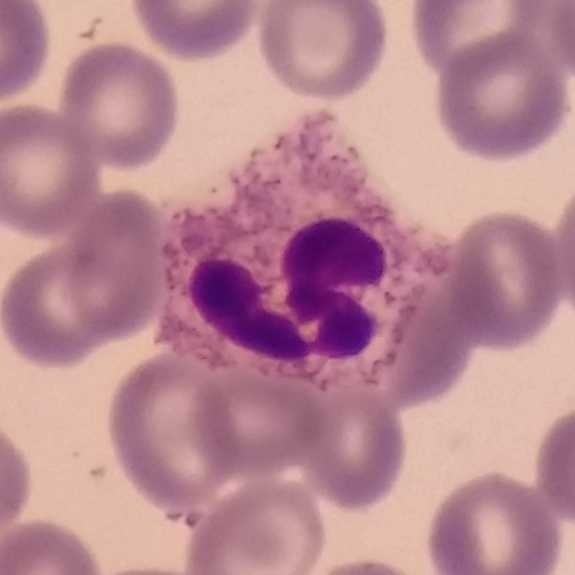 Peripheral blood smear showing a neutrophil.